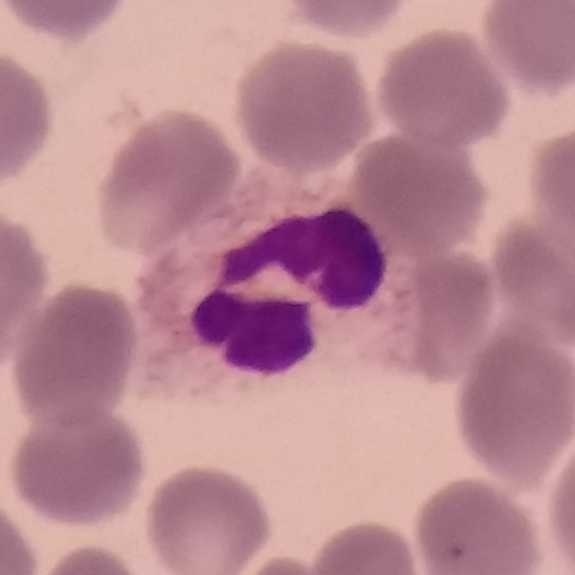 Specimen: peripheral blood film.
White blood cell type: neutrophilic granulocyte.
Lineage: myeloid.